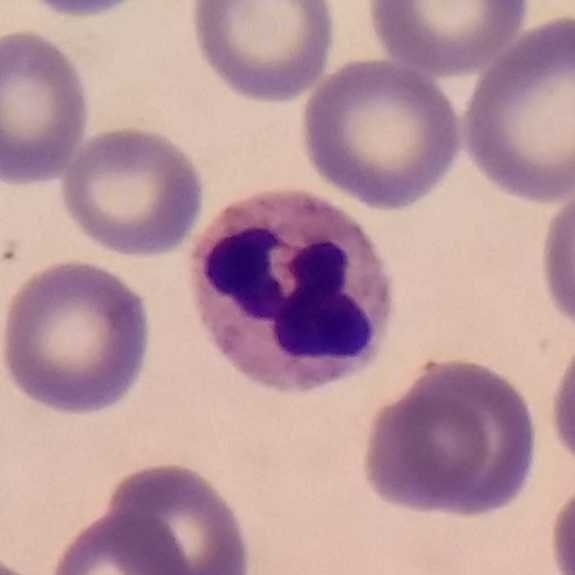Q: Which type of white blood cell is this?
A: A neutrophil granulocyte.

Peripheral blood smear.